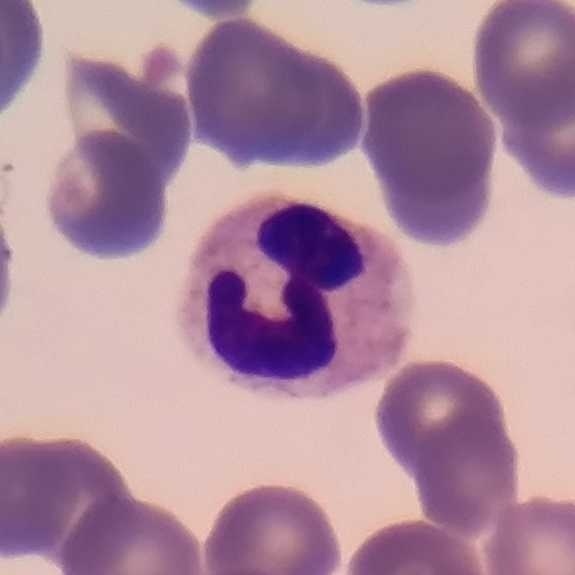

Single cell identified as a neutrophilic granulocyte.